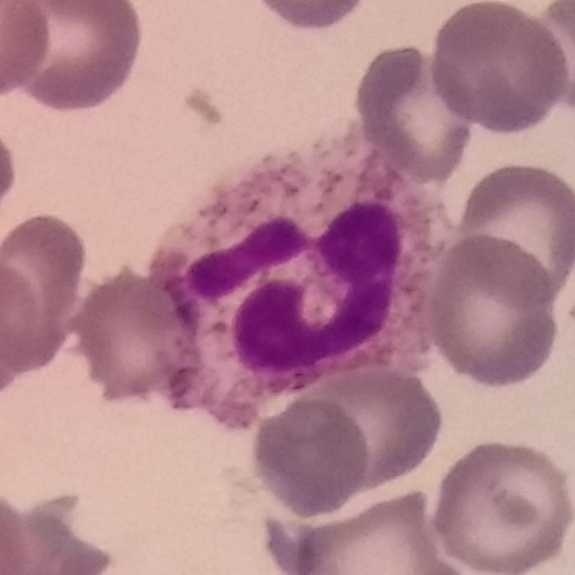 Context: Smartphone camera mounted on the microscope eyepiece. Peripheral blood smear.

The white blood cell in this image is a neutrophil granulocyte.